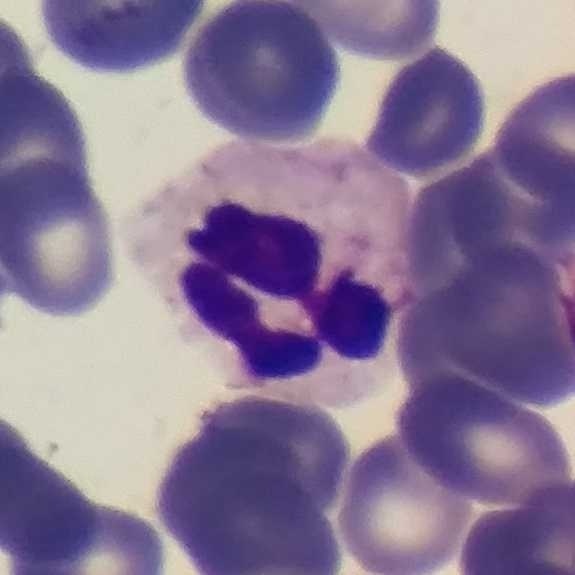 Image size 575×575. Peripheral blood smear.

Morphology — neutrophil.